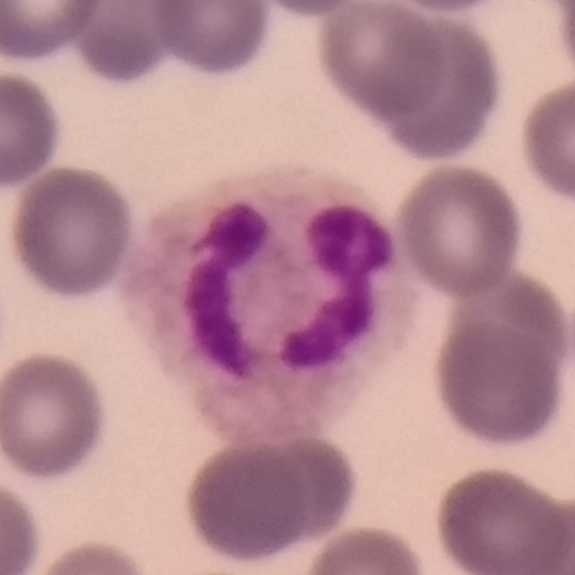
Image: Peripheral blood smear.
Morphology consistent with a neutrophilic granulocyte.